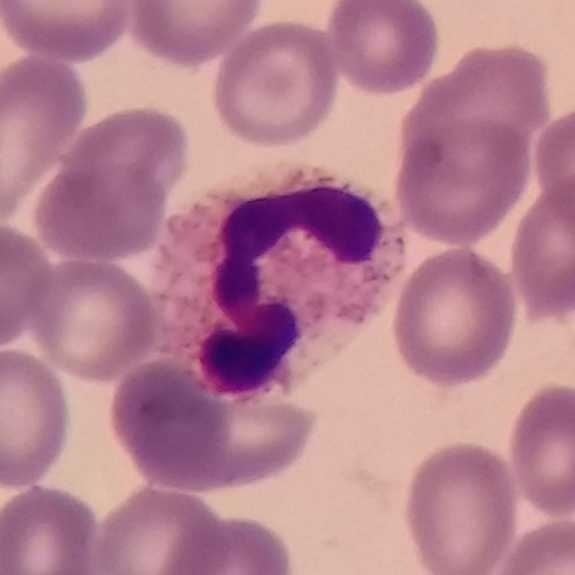

Specimen: peripheral blood smear.
Morphological class: neutrophil granulocyte.
Lineage: myeloid.

Image: 575×575 px. Imaged at 100×.